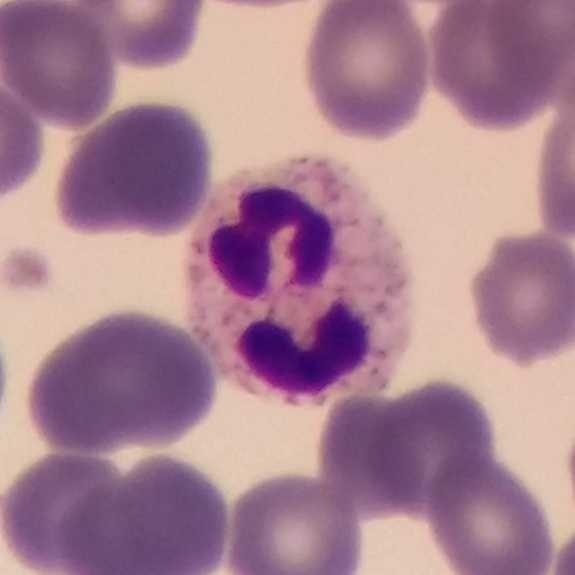 Classification: neutrophil granulocyte.